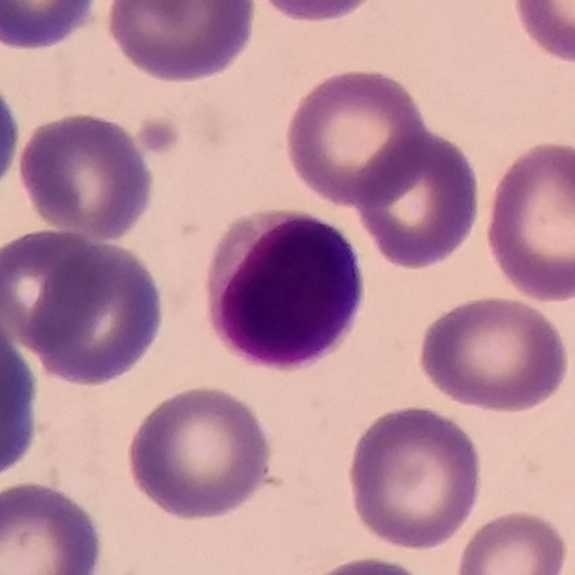
Morphological class = lymphocyte. Acquisition: Peripheral blood film. Giemsa-stained.